Image size 575×575; imaged at 100×; peripheral blood smear
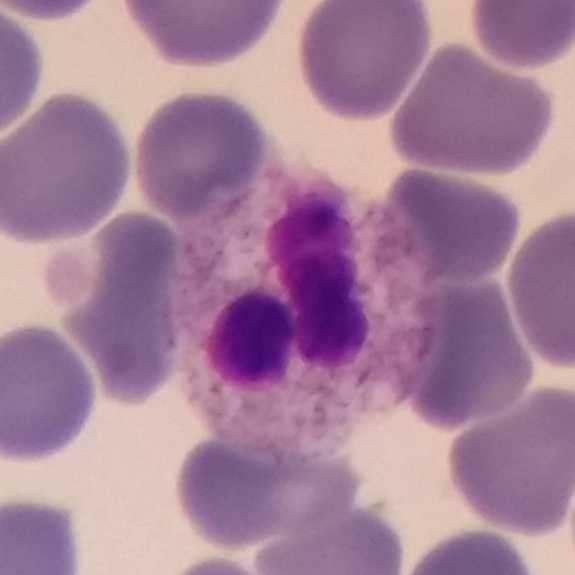
{"cell_type": "neutrophil", "lineage": "myeloid"}